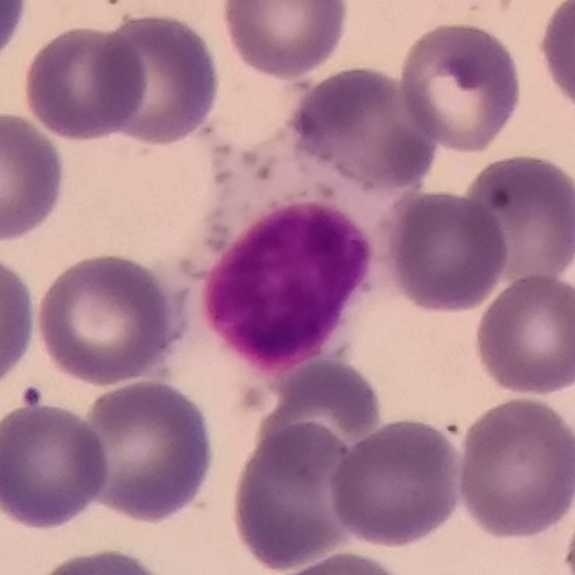

Specimen: peripheral blood smear.
Cell: lymphocyte.